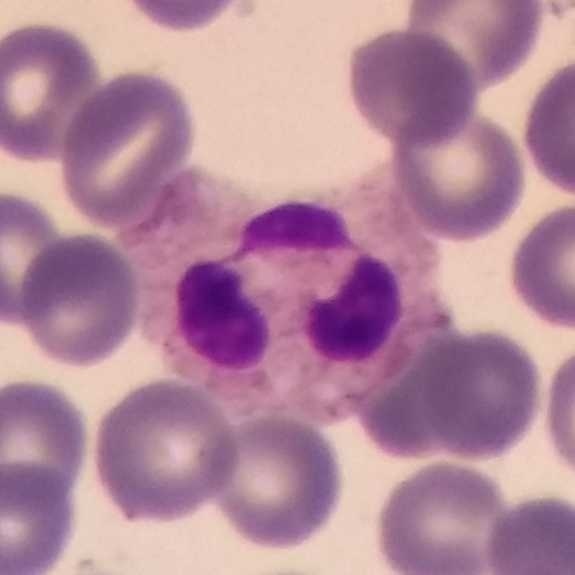
Peripheral blood smear. Cell type: neutrophilic granulocyte.